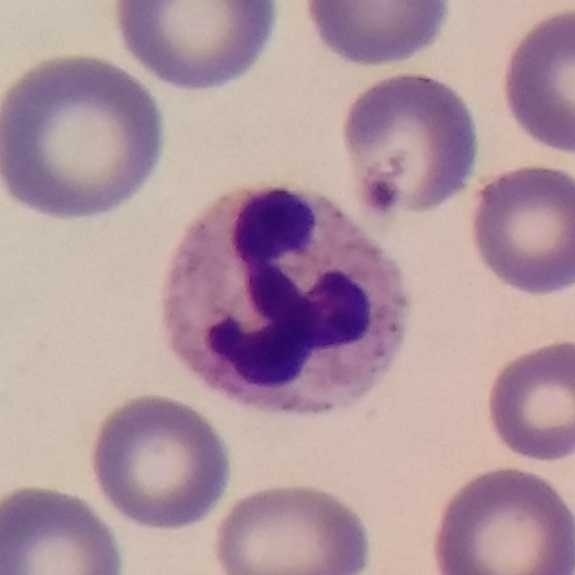 Acquisition: Peripheral blood smear. Photographed through a light microscope with a smartphone camera.
Morphological class = neutrophilic granulocyte.